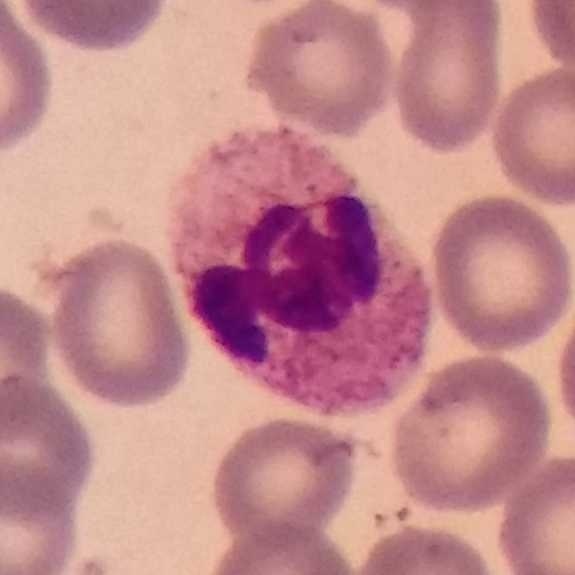Peripheral blood film, single cell — neutrophilic granulocyte.